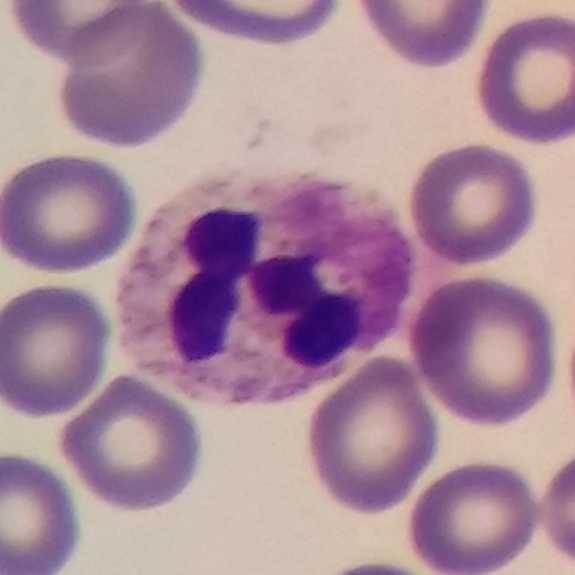

Specimen: peripheral blood film.
Classification: neutrophil granulocyte.
Lineage: myeloid.
Acquisition: Giemsa stain.